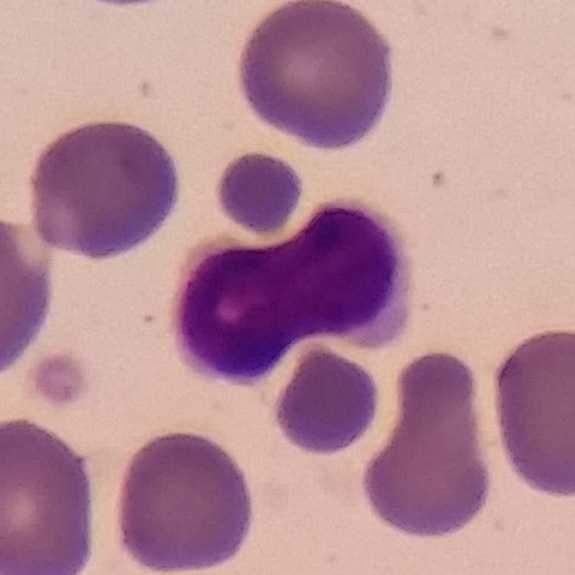

White blood cell type = lymphocyte. Context: Peripheral blood smear.